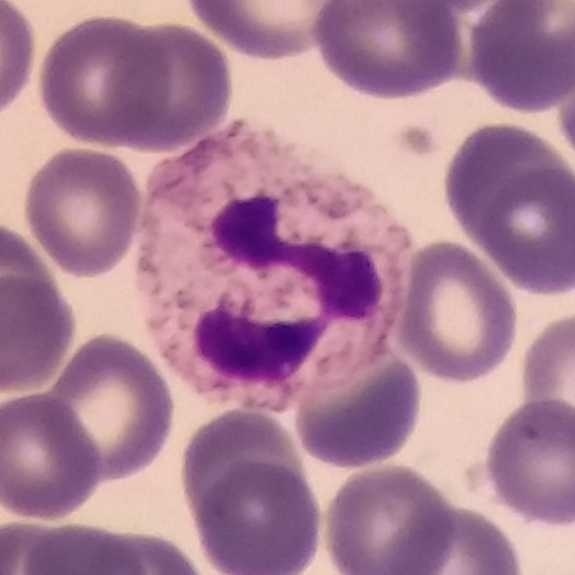

Acquisition: 575 by 575 pixels · peripheral blood film.

The cell shown is a neutrophil.